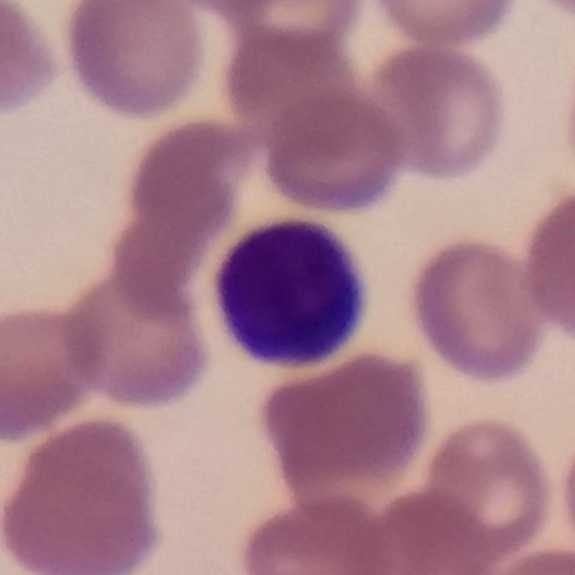
White blood cell from a peripheral blood smear: lymphocyte.